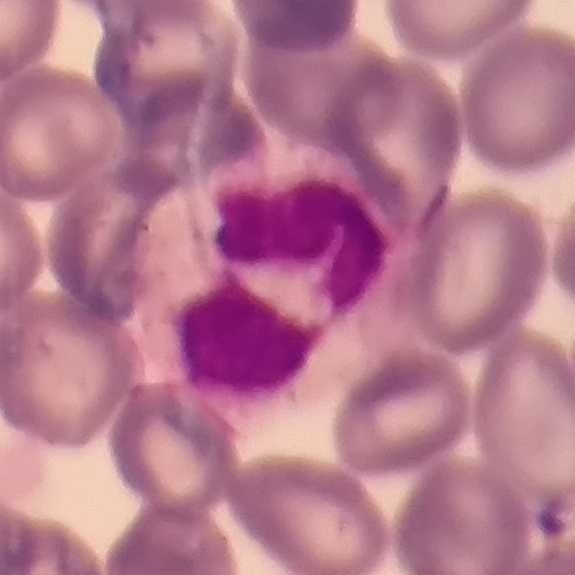 The white blood cell type is neutrophil.

Context: Photographed through a light microscope with a smartphone camera. Peripheral blood film.